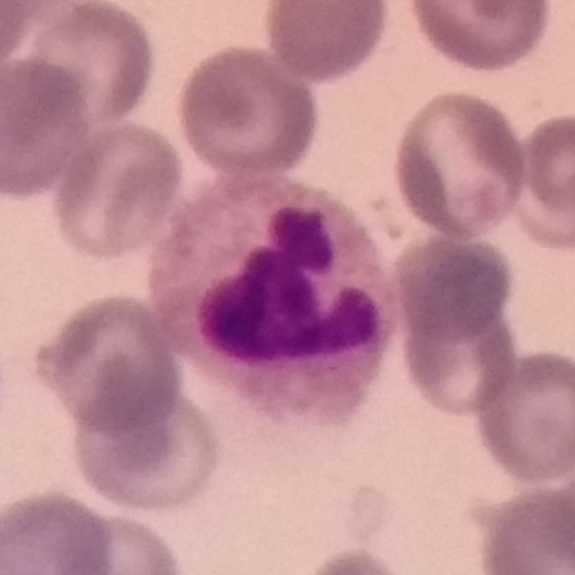

Specimen: peripheral blood smear.
White blood cell type: neutrophil.
Lineage: myeloid.